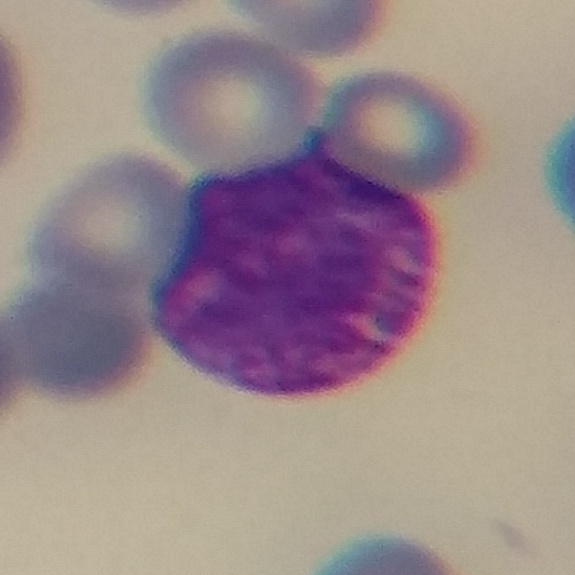 White blood cell type — basophilic granulocyte.
Acquisition: Peripheral blood film.